Peripheral blood film:
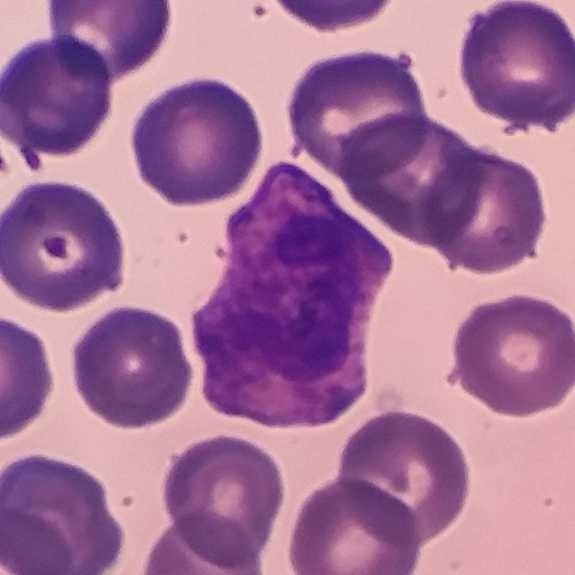 Morphology → neutrophil.